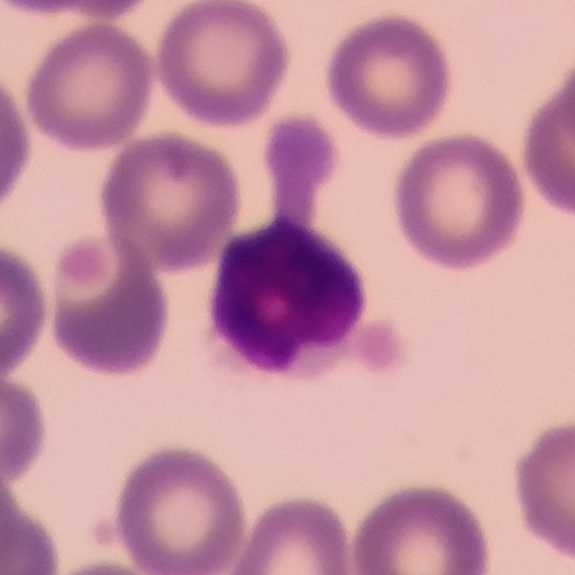
White blood cell type — lymphocyte.